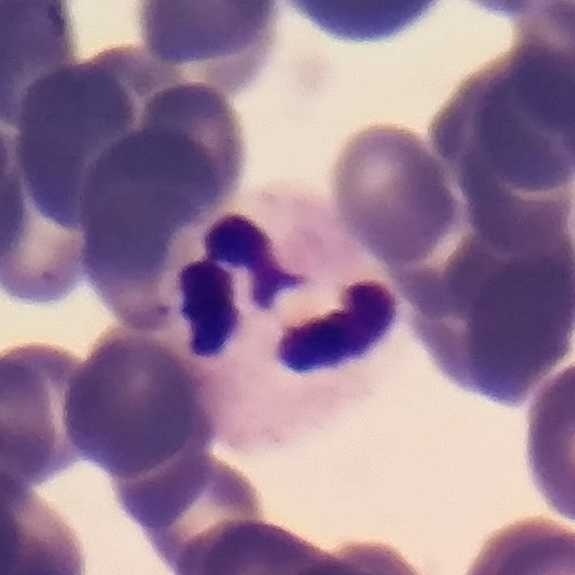
Context: Peripheral blood smear.
Single cell identified as a neutrophil.